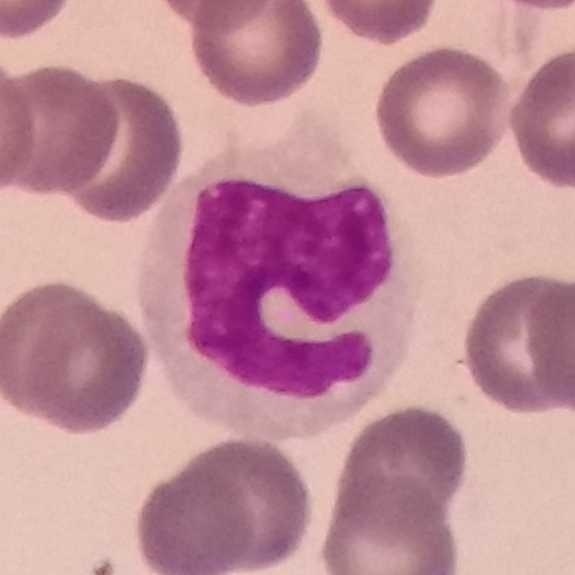 The cell shown is a monocyte. Image: Peripheral blood smear; 575 by 575 pixels.